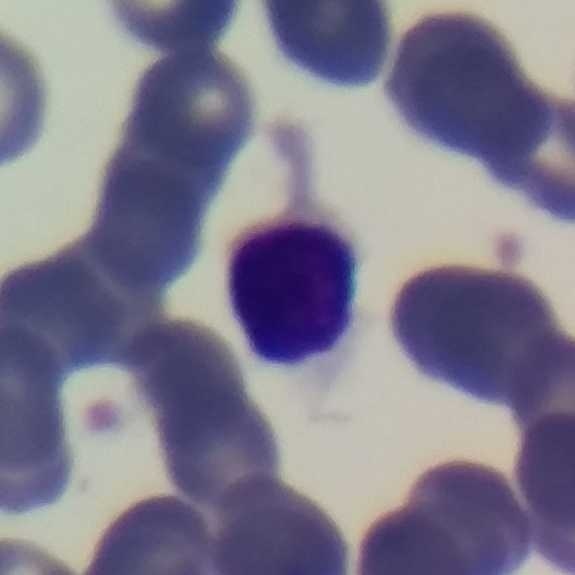Impression — lymphocyte. Peripheral blood smear.